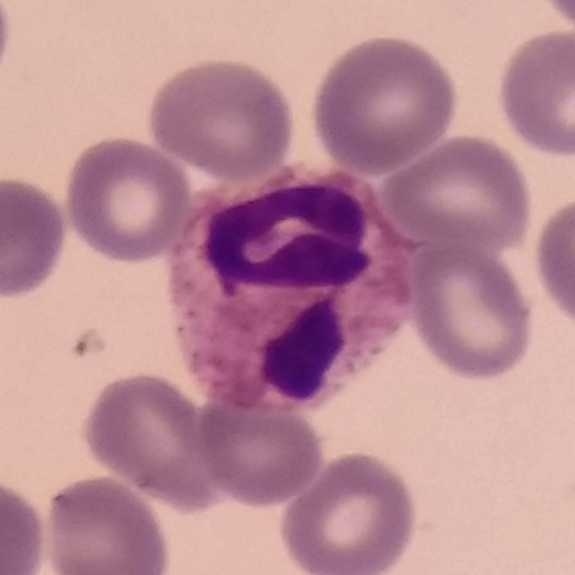 Q: What is the morphological classification of this cell?
A: Neutrophil.
Magnification 100× · peripheral blood film · 575×575.